Peripheral blood film:
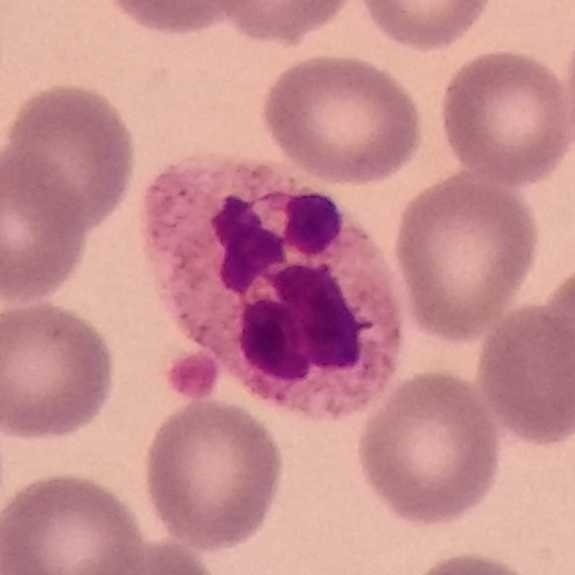

The morphological class is neutrophil granulocyte.